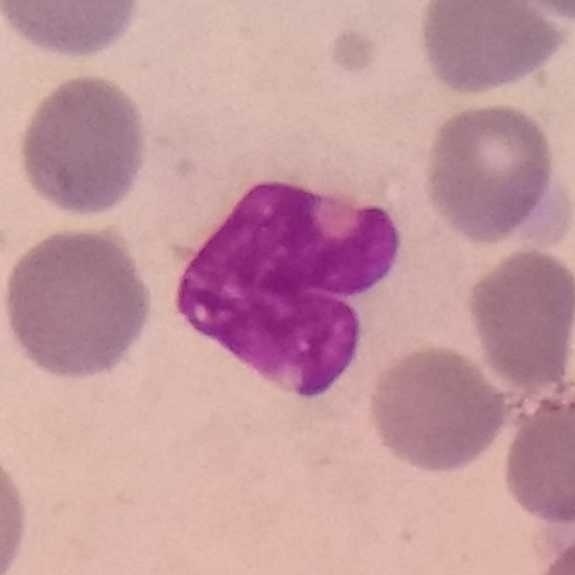
Image: Single-cell crop; peripheral blood film.

{"cell_type": "monocyte"}